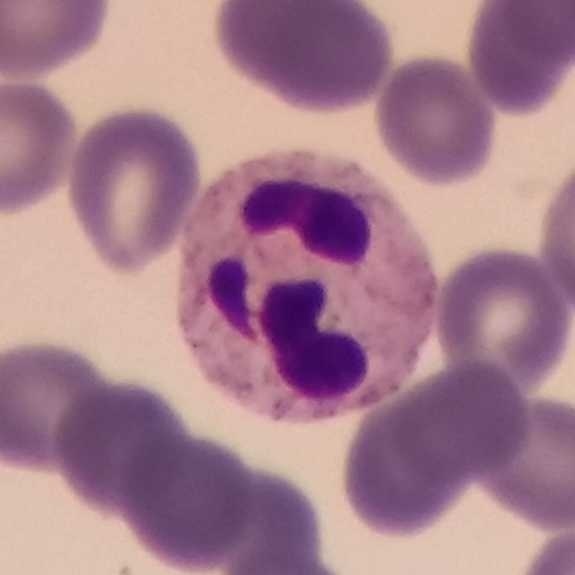
Peripheral blood film, single cell — neutrophilic granulocyte.